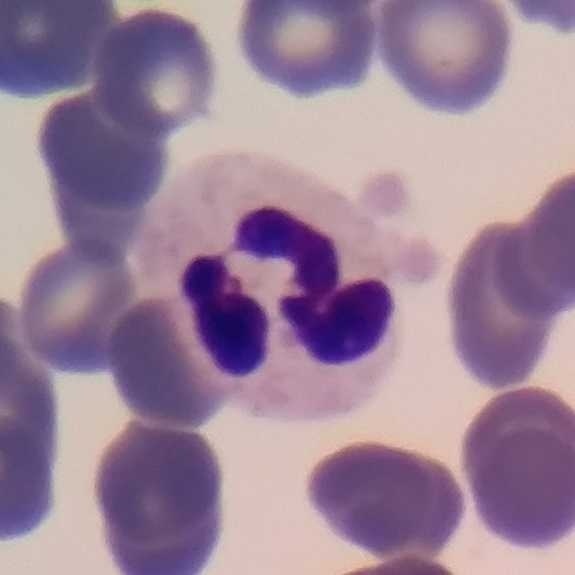

The cell shown is a neutrophilic granulocyte.

Image: Single-cell field · peripheral blood smear.